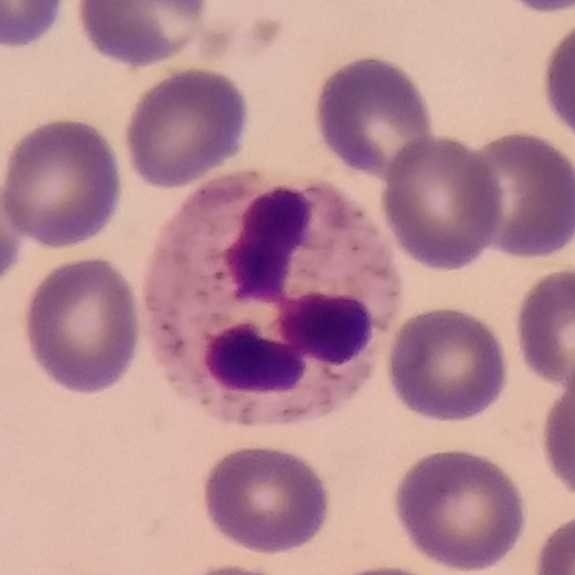

A neutrophil granulocyte on a peripheral blood smear.